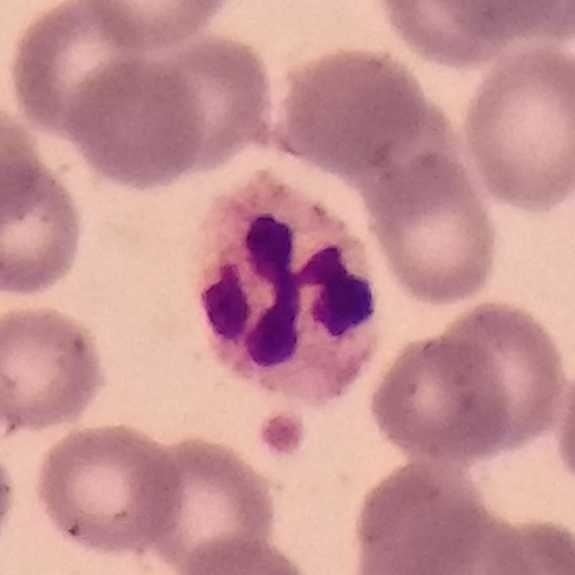Specimen: peripheral blood smear.
White blood cell type: neutrophilic granulocyte.